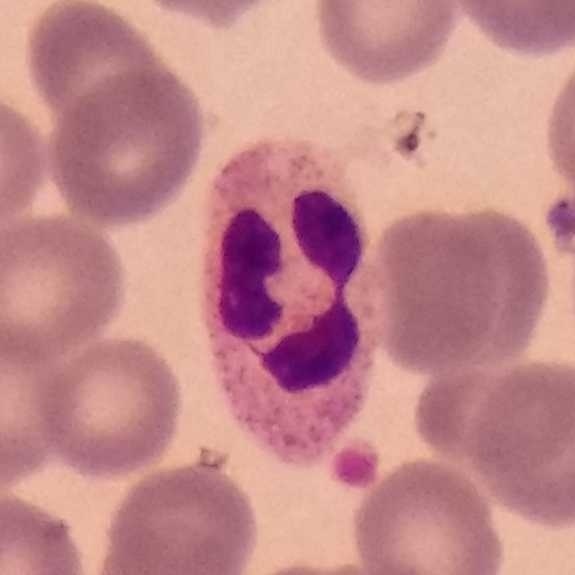
Impression — neutrophil.